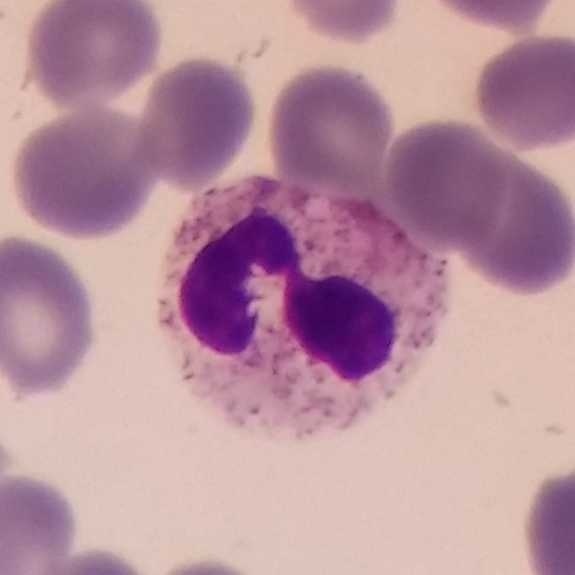
Peripheral blood film · imaged at 100×.

The cell type is neutrophilic granulocyte.